Image size 575×575. Peripheral blood film — 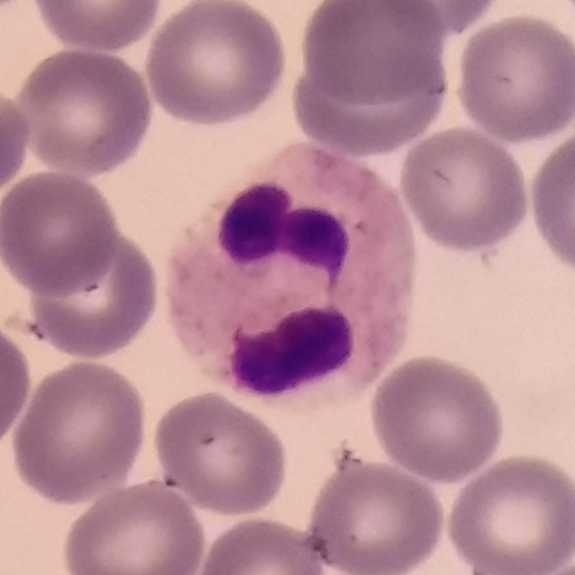

Specimen: peripheral blood film.
Morphological class: neutrophil granulocyte.